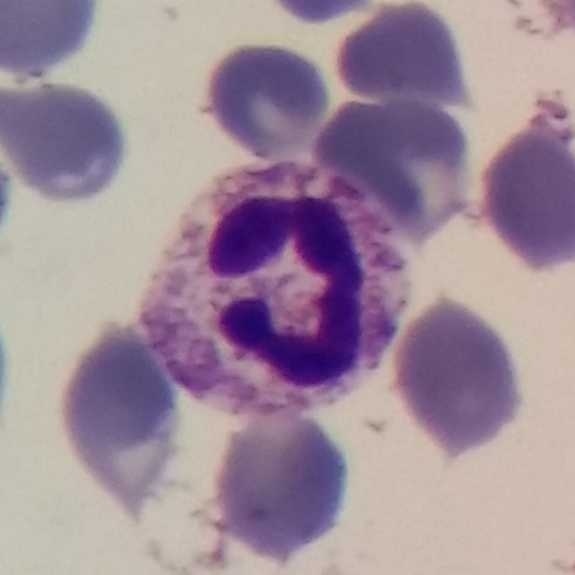

The white blood cell in this image is a neutrophil.